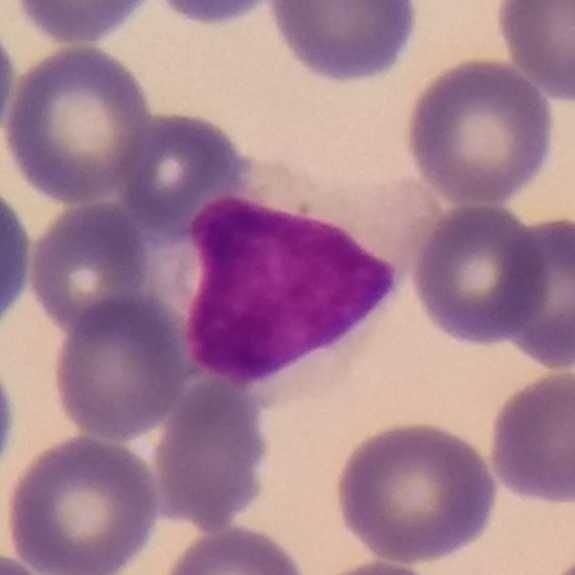Cell: lymphocyte.